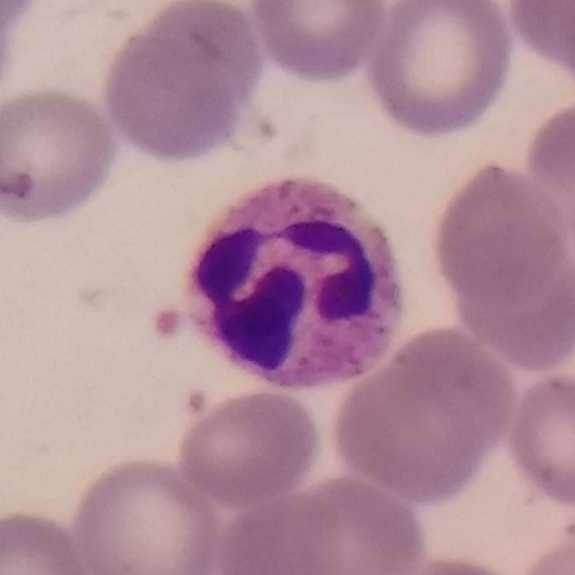 Context: Peripheral blood film; stained with Giemsa; smartphone camera mounted on the microscope eyepiece. Impression — neutrophil granulocyte.